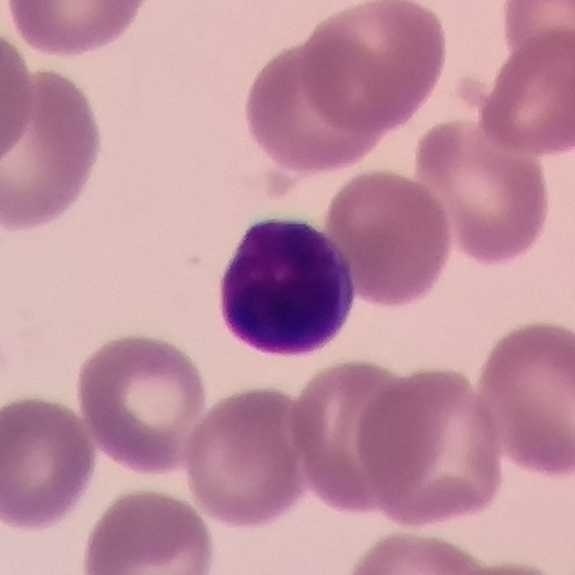Impression — lymphocyte.